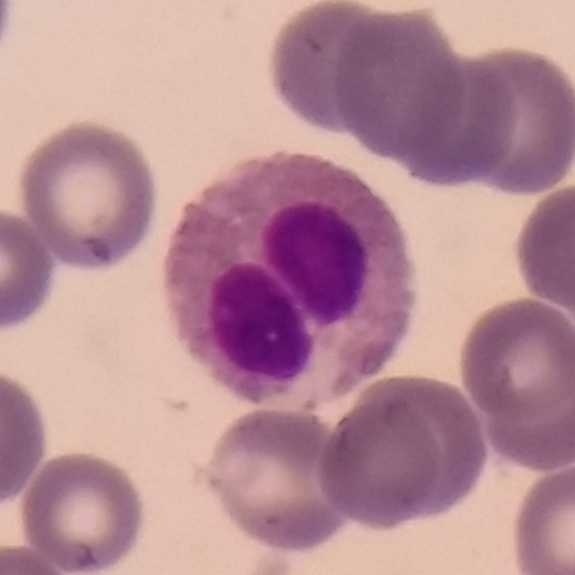
Identified as an eosinophil.

Preparation: 100× magnification · cropped to one leukocyte · peripheral blood smear.